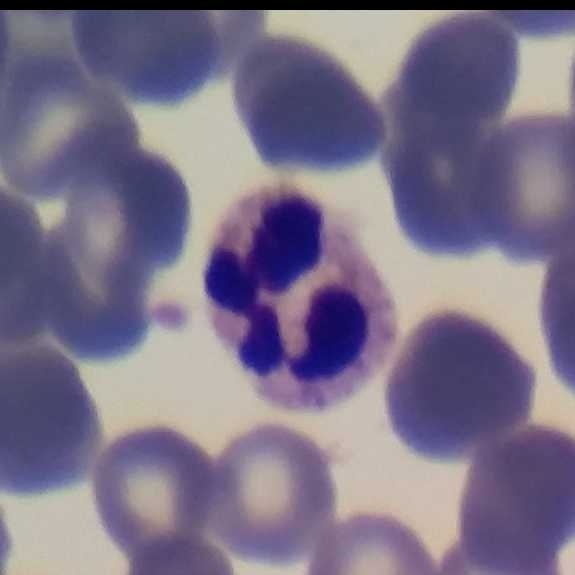A neutrophilic granulocyte. 575 by 575 pixels. Peripheral blood smear.